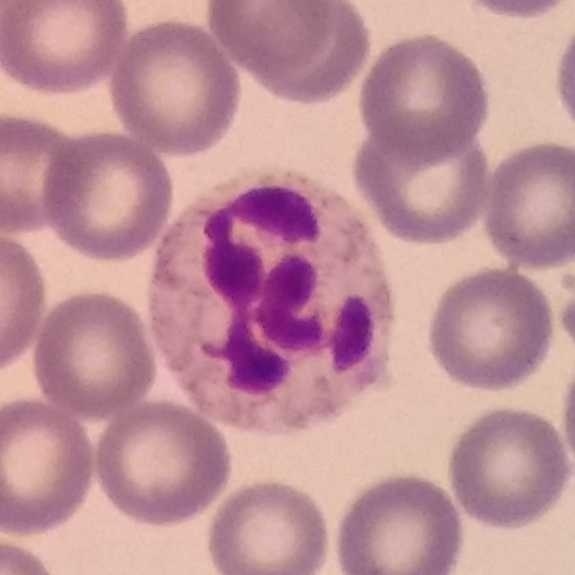
Single cell identified as a neutrophil granulocyte. Acquisition: Smartphone photomicrograph. Peripheral blood film.